Peripheral blood smear; image size 575×575; single-cell crop — 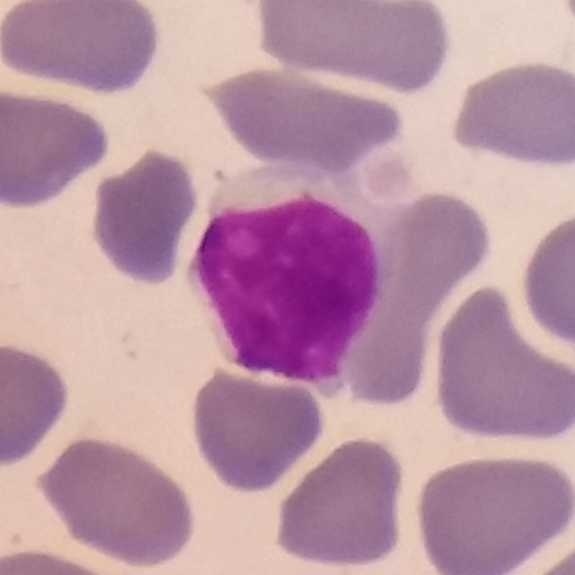
Cell = lymphocyte.